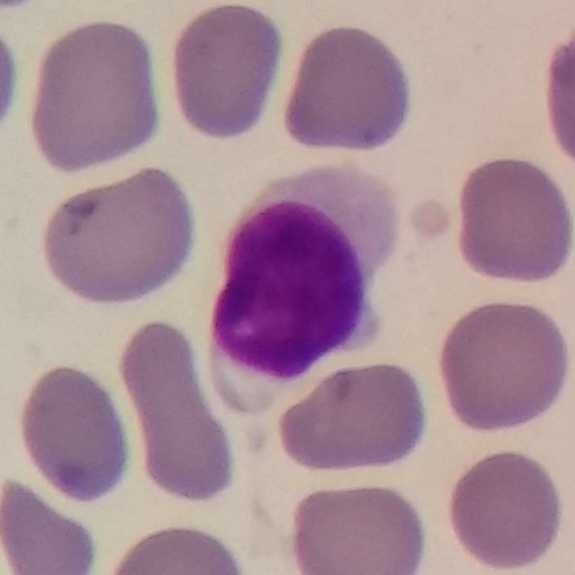

Morphology → lymphocyte. Context: Peripheral blood smear. Giemsa-stained. Smartphone camera mounted on the microscope eyepiece.